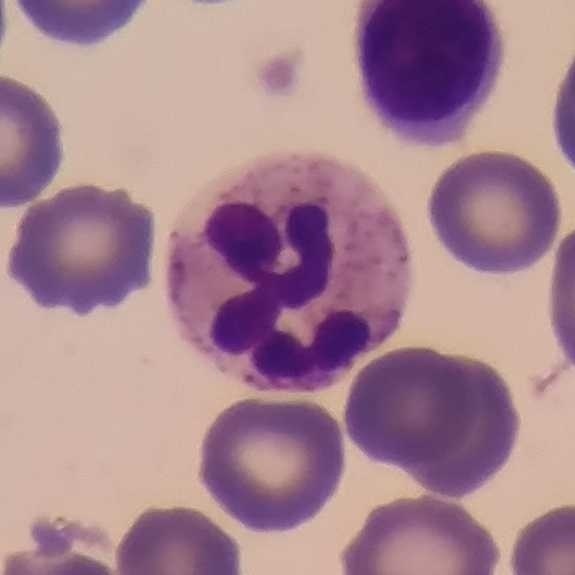

Showing a neutrophil granulocyte. Preparation: Peripheral blood smear. Image size 575×575. Imaged at 100×.